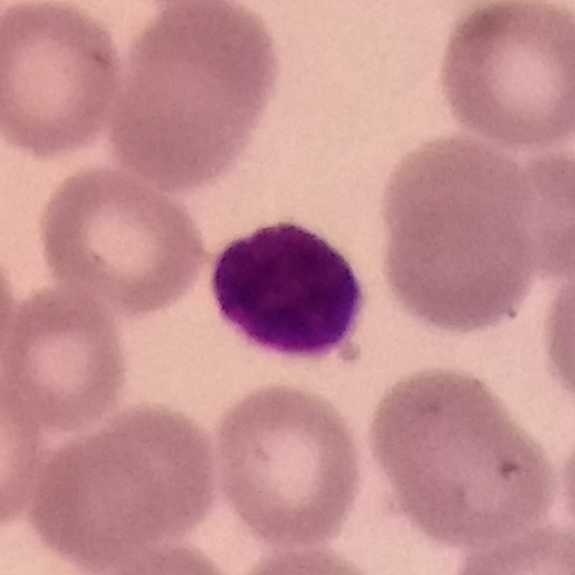Cell — lymphocyte.
Acquisition: Peripheral blood smear.